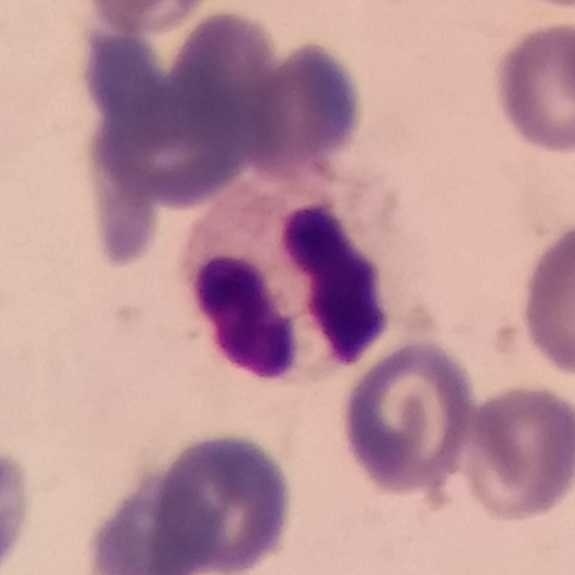
Q: What is this?
A: It is a neutrophil. Image: Peripheral blood film · stained with Giemsa · 100× magnification.